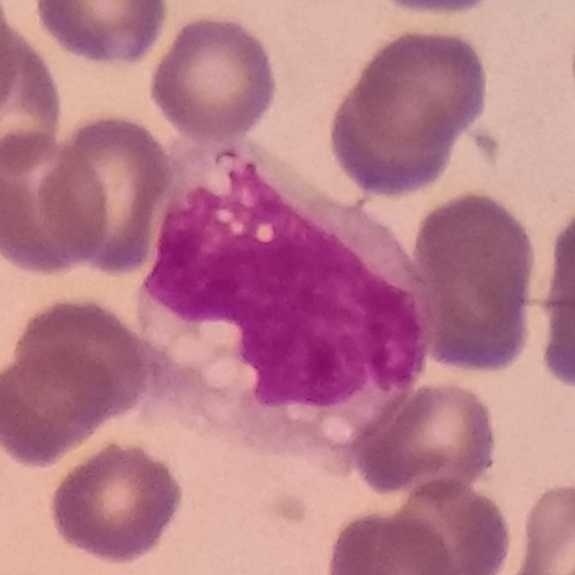Acquisition: Cropped to one leukocyte · peripheral blood film · 575×575 px. Morphological class — monocyte.